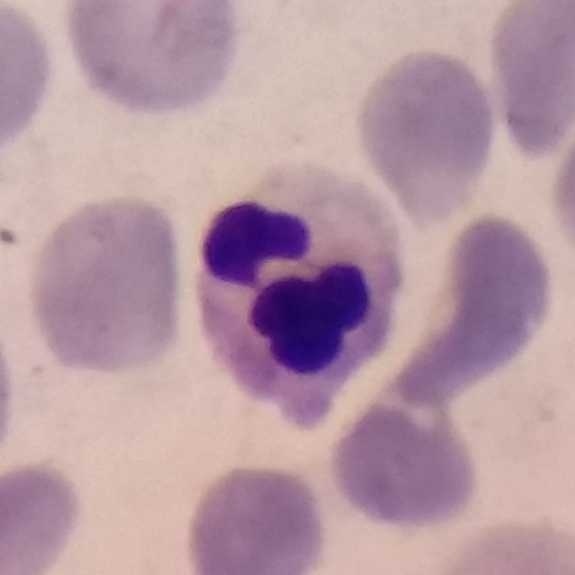
Morphological class: neutrophil granulocyte.

Preparation: Phone-camera image taken through the microscope ocular; peripheral blood film.